Image size 575×575; peripheral blood smear.
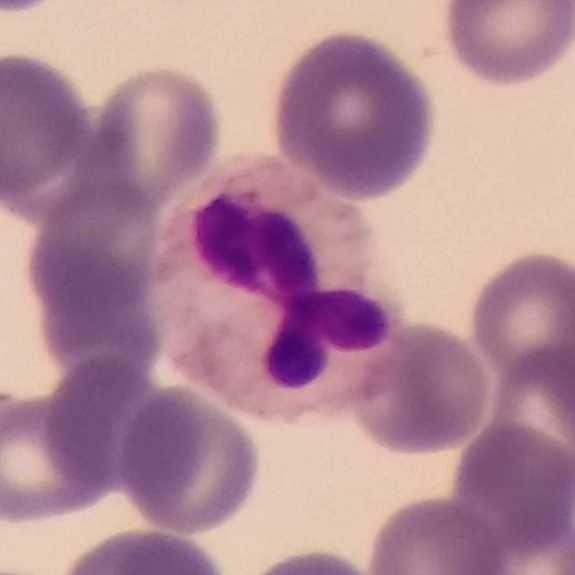

This is a neutrophil.